Peripheral blood film. Stained with Giemsa. 100× magnification.
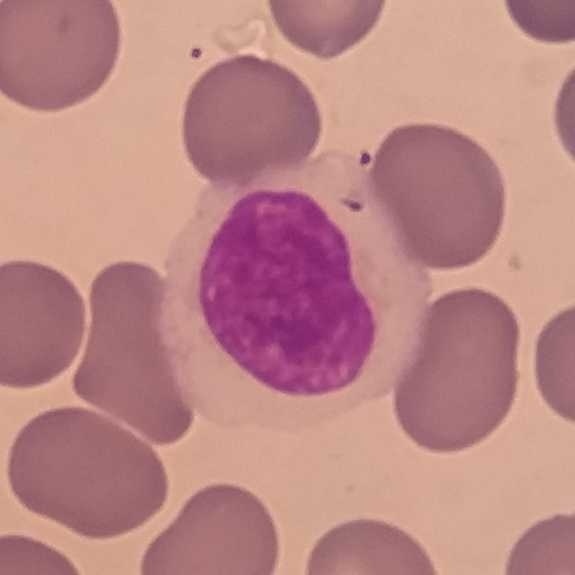 The morphological class is monocyte.